Peripheral blood smear; smartphone photomicrograph
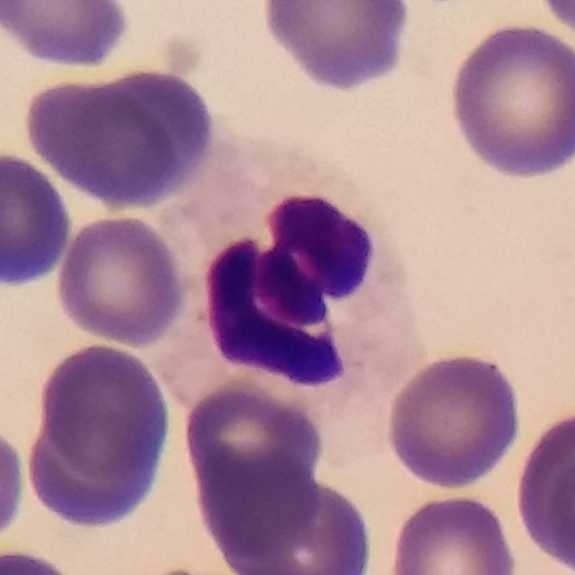 The cell type is neutrophil.